575 by 575 pixels · imaged at 100× · peripheral blood film — 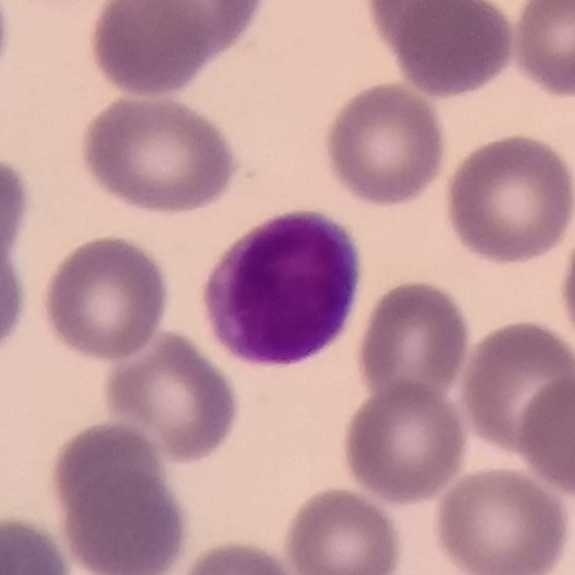

Identified as a lymphocyte.